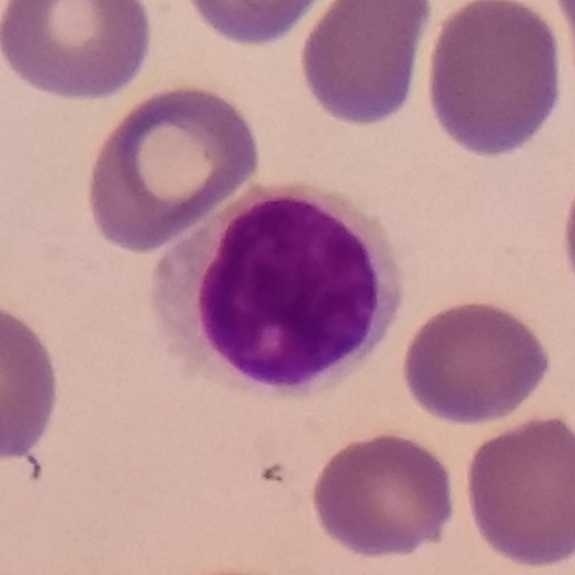

Specimen: peripheral blood film.
Morphological class: lymphocyte.
Lineage: lymphoid.